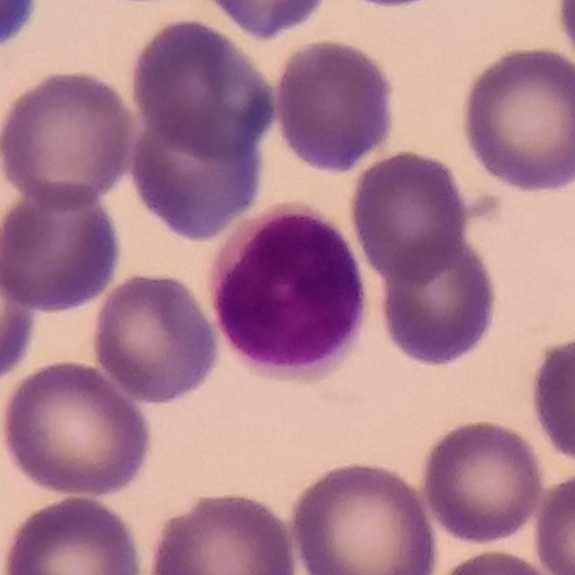
{"cell_type": "lymphocyte"}